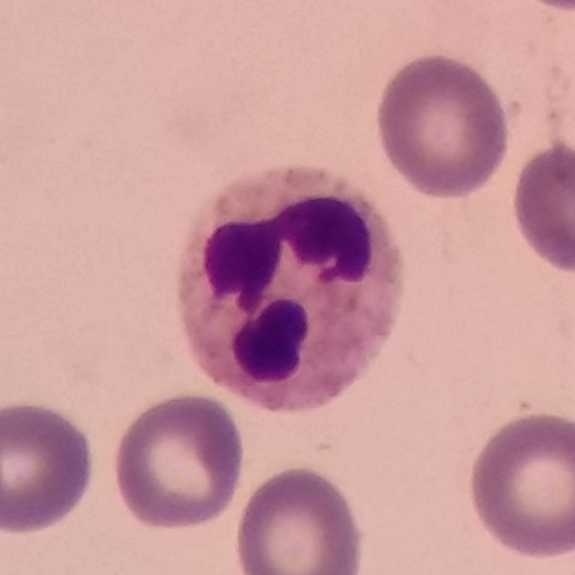 Single cell identified as a neutrophilic granulocyte. Context: Peripheral blood smear.